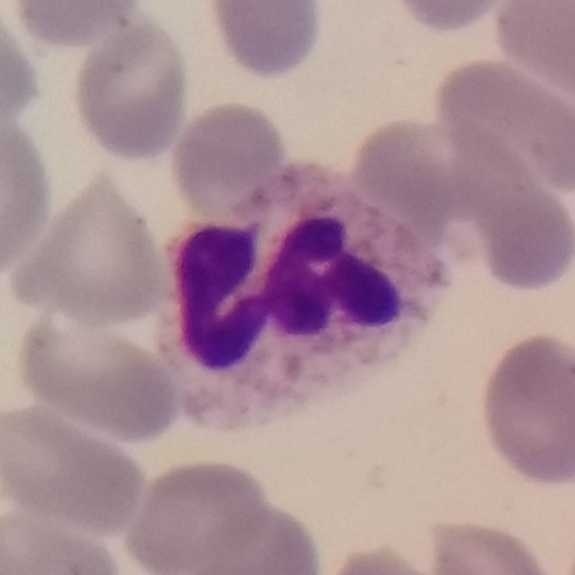
Identified as a neutrophil. Peripheral blood smear.